Peripheral blood film. Giemsa stain. Image size 575×575
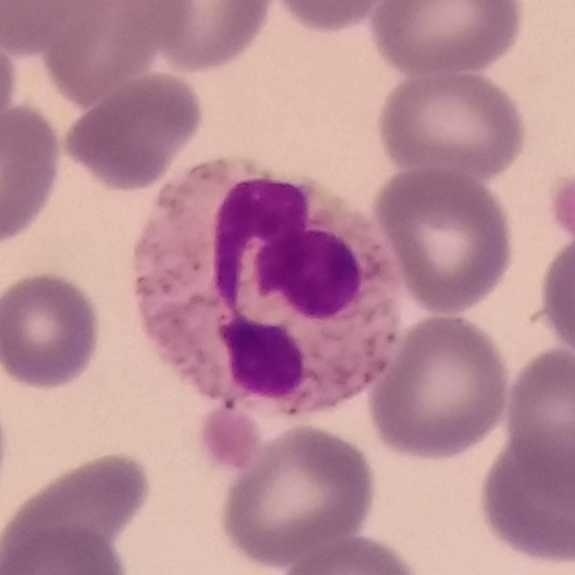 Q: What is shown here?
A: This is a neutrophil granulocyte.